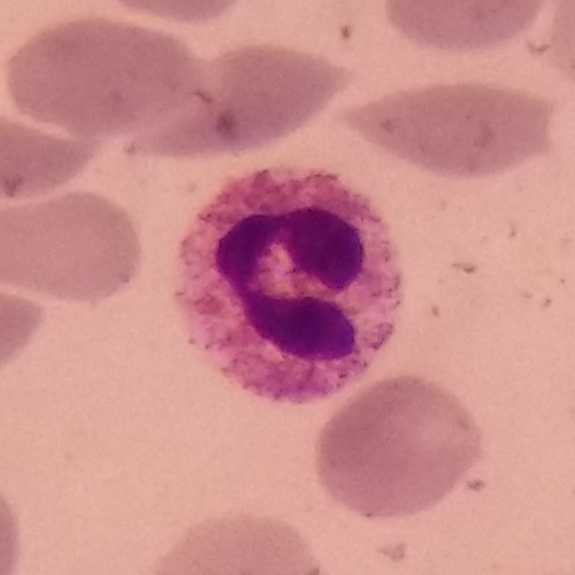
Acquisition: Peripheral blood film. 575×575.

Single cell identified as a neutrophil granulocyte.